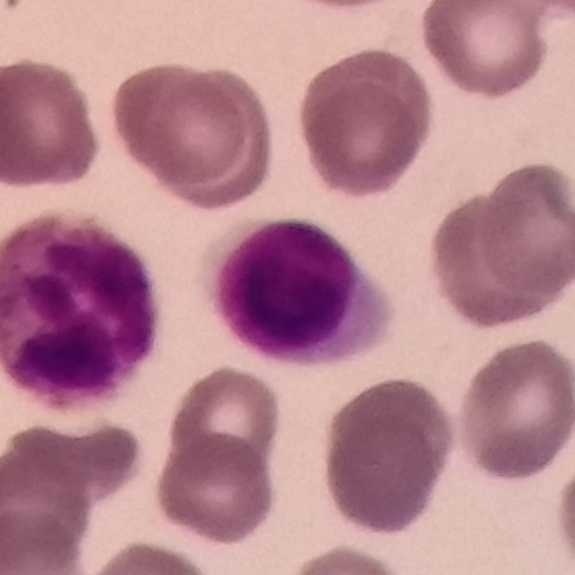

Impression → lymphocyte.

Peripheral blood film. Giemsa stain.